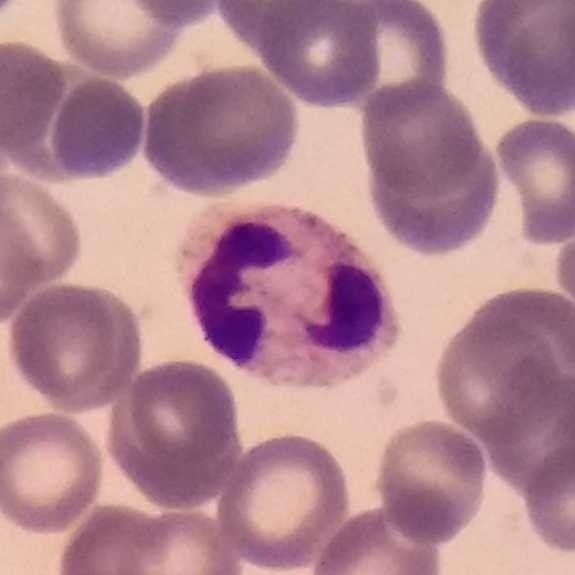
The cell is neutrophilic granulocyte.